Peripheral blood film:
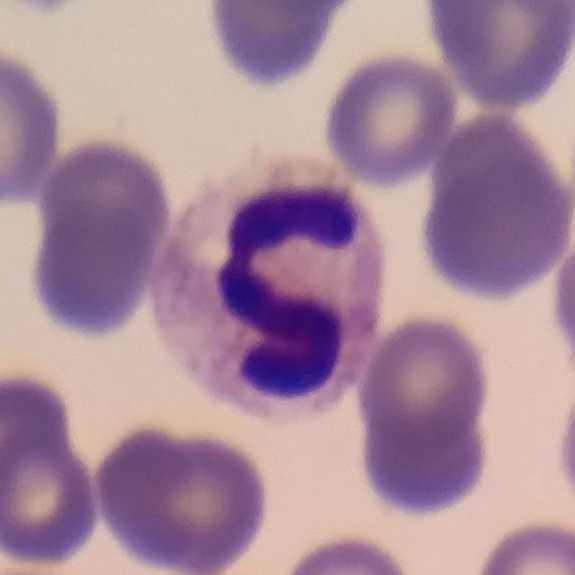

A neutrophilic granulocyte.